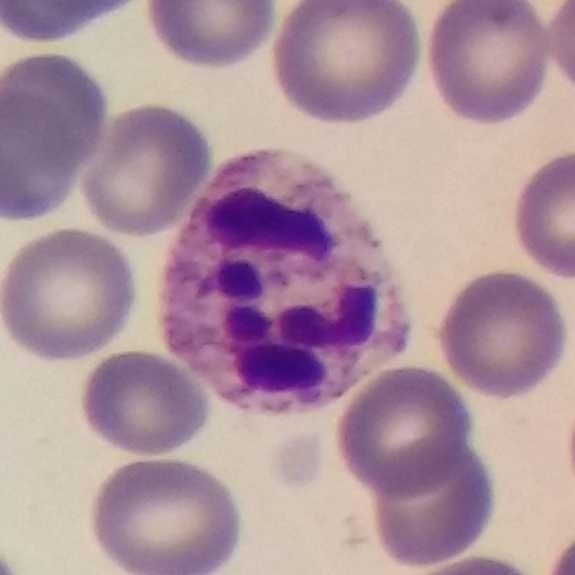

100× magnification. Giemsa-stained. Peripheral blood smear.

{"cell_type": "neutrophil granulocyte"}